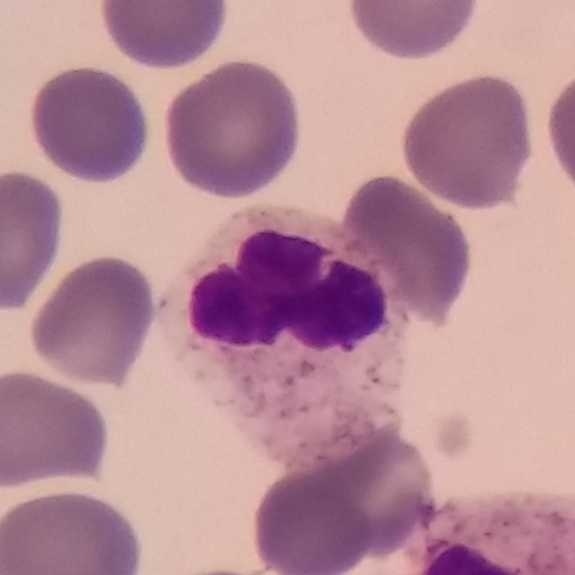

Image: Peripheral blood film; magnification 100×.

The white blood cell in this image is a neutrophilic granulocyte.